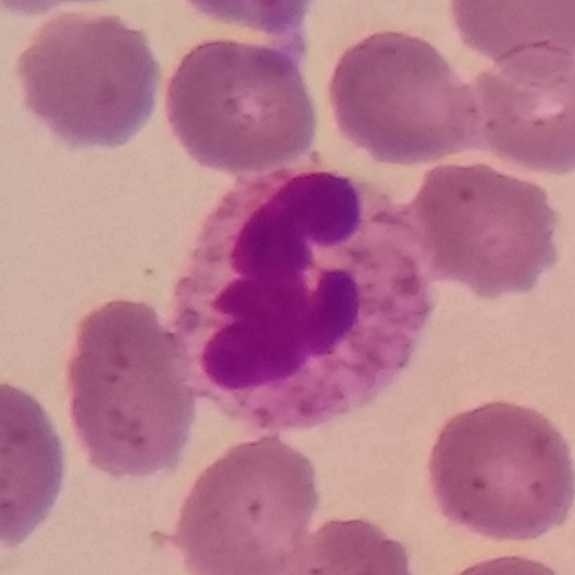
Impression — neutrophilic granulocyte.